Peripheral blood film:
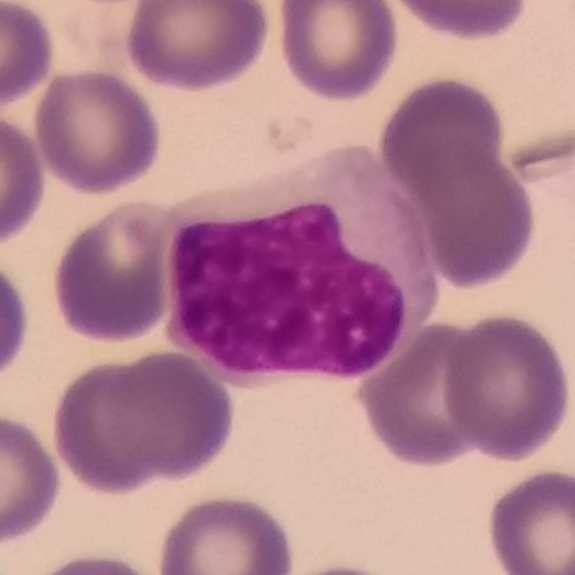 This is a monocyte.